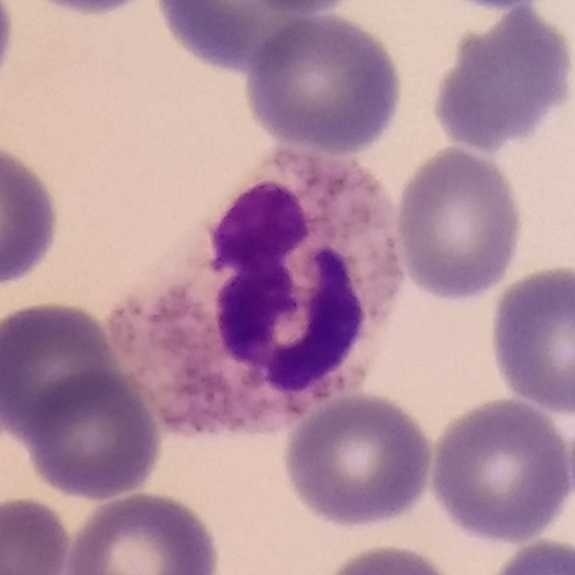Preparation: Peripheral blood film.

Classification = neutrophil.